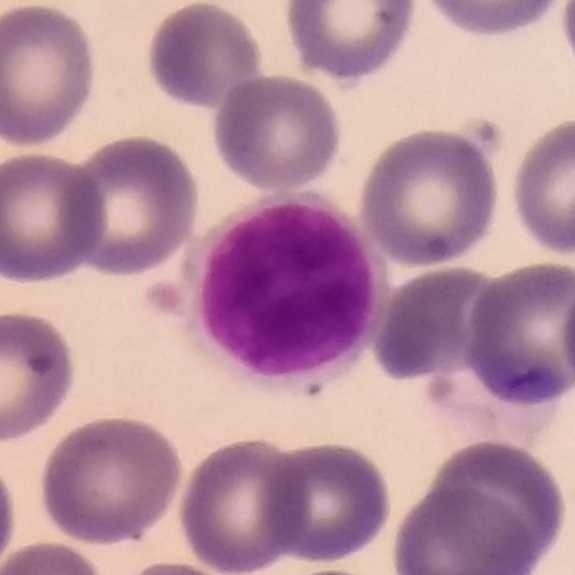Q: What is shown here?
A: This is a lymphocyte.